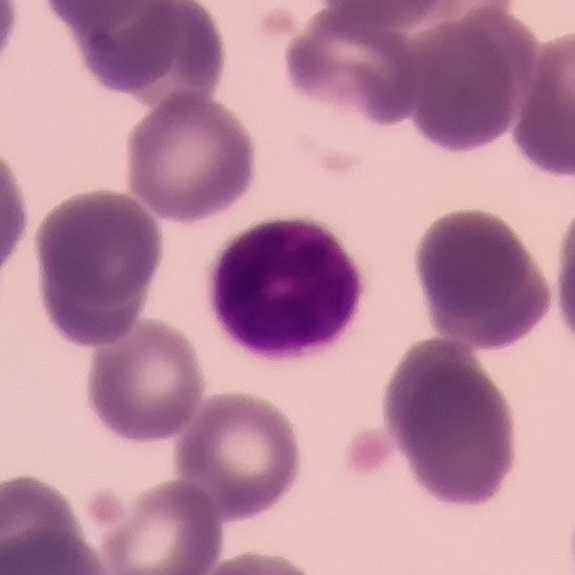 This is a lymphocyte.